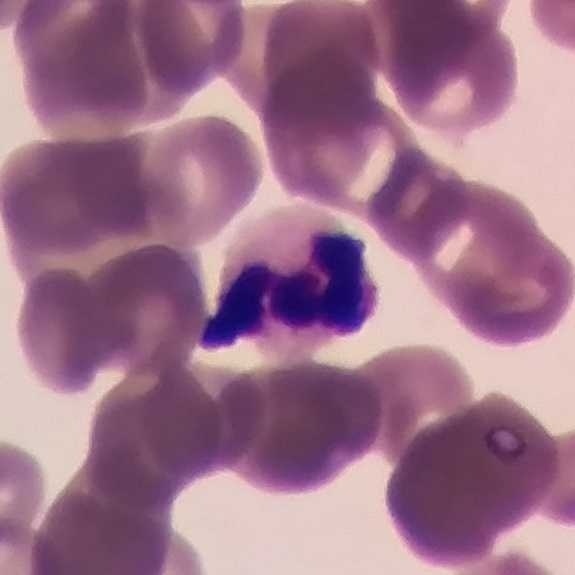Specimen: peripheral blood smear.
Classification: neutrophilic granulocyte.
Lineage: myeloid.